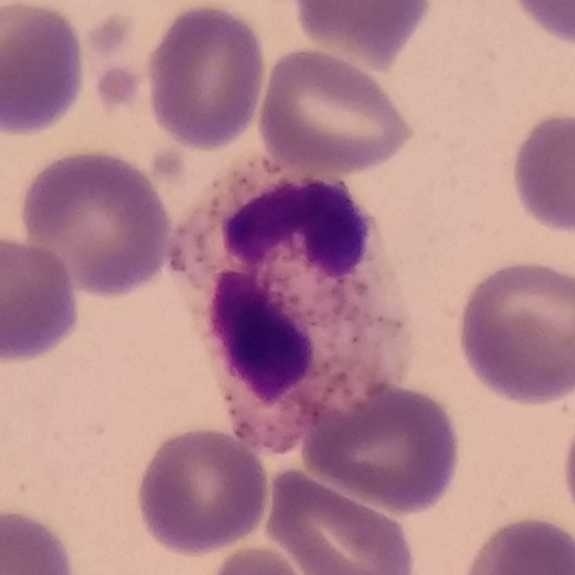
Specimen: peripheral blood film.
White blood cell type: neutrophil granulocyte. Giemsa stain.